Peripheral blood film — 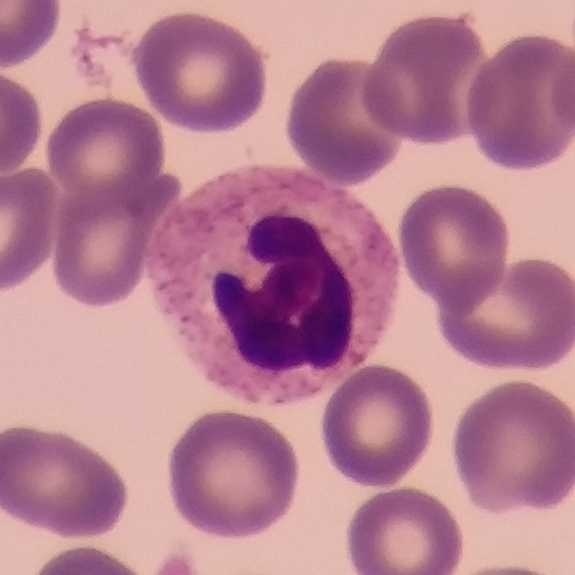 Impression → neutrophil granulocyte.